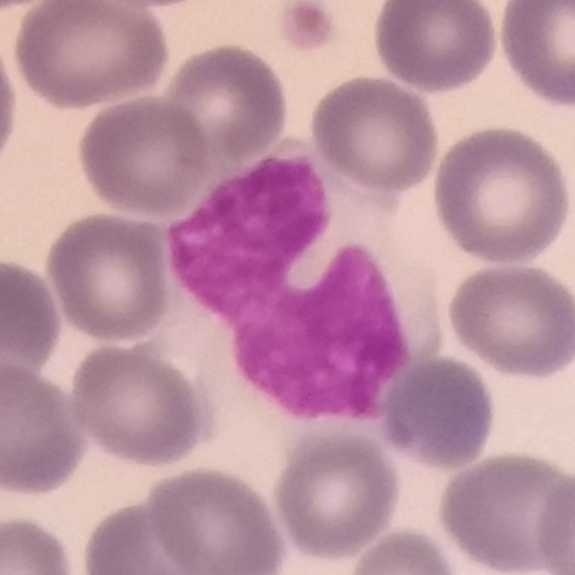This is a monocyte.